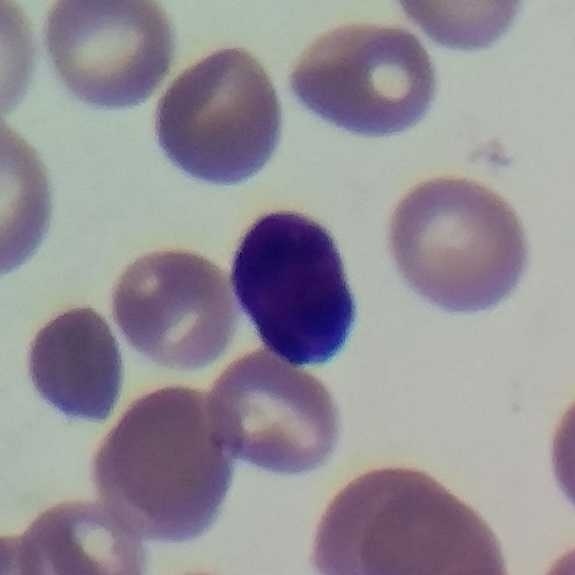 Preparation: Giemsa-stained.
Specimen: peripheral blood film.
Classification: lymphocyte.
Lineage: lymphoid.